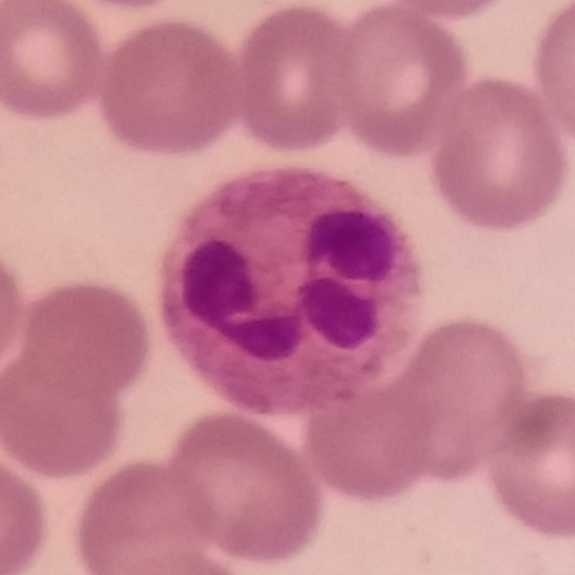 {"cell_type": "neutrophil"}
Acquisition: Peripheral blood film.